Peripheral blood film — 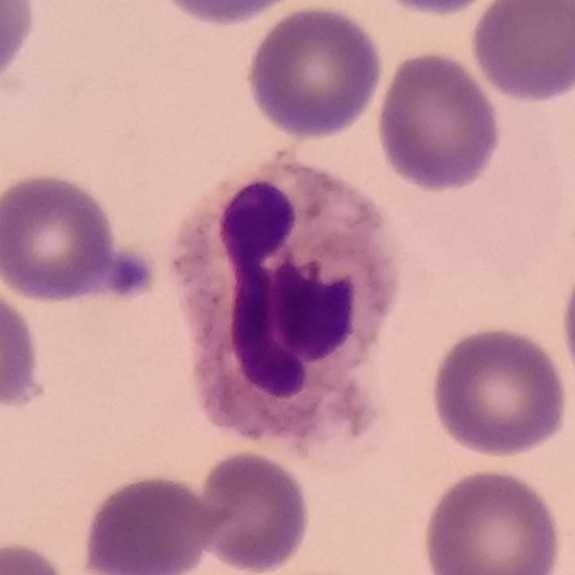Q: What cell is this?
A: A neutrophil granulocyte.